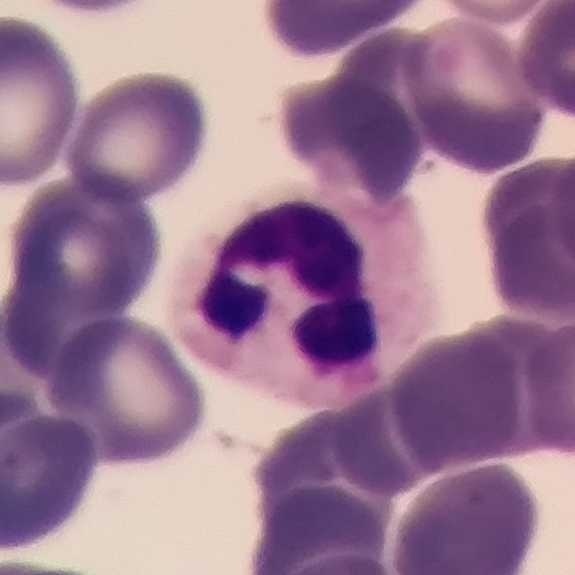Context: Imaged at 100×. Peripheral blood smear. Single white blood cell cropped from the smear photograph.
A neutrophil.